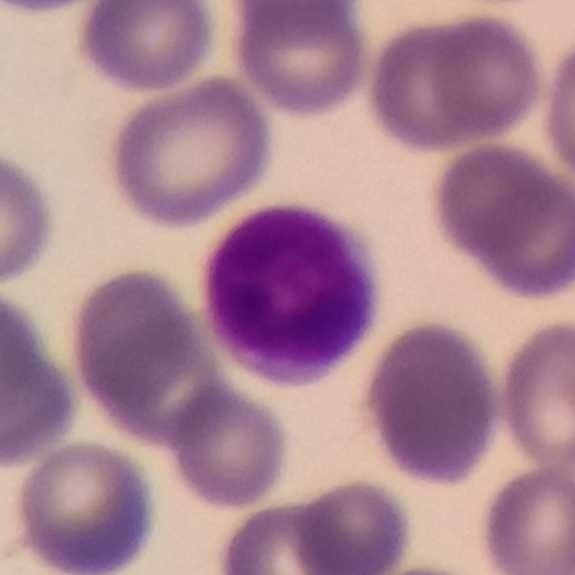
The white blood cell type is lymphocyte.

Preparation: Peripheral blood film.